Peripheral blood smear:
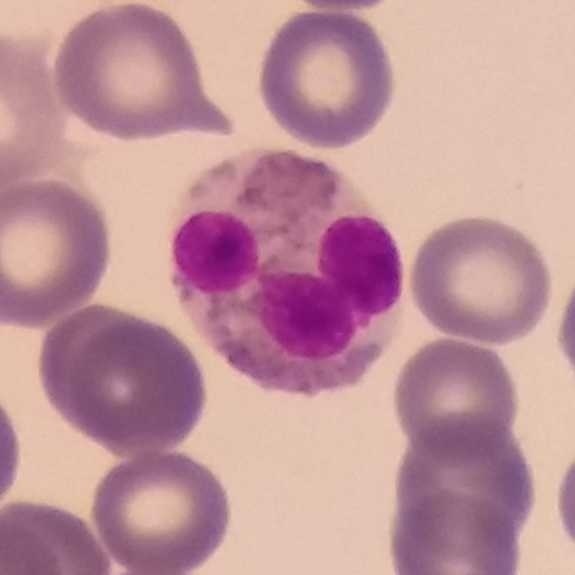
Q: Which cell type is shown here?
A: It is an eosinophil.